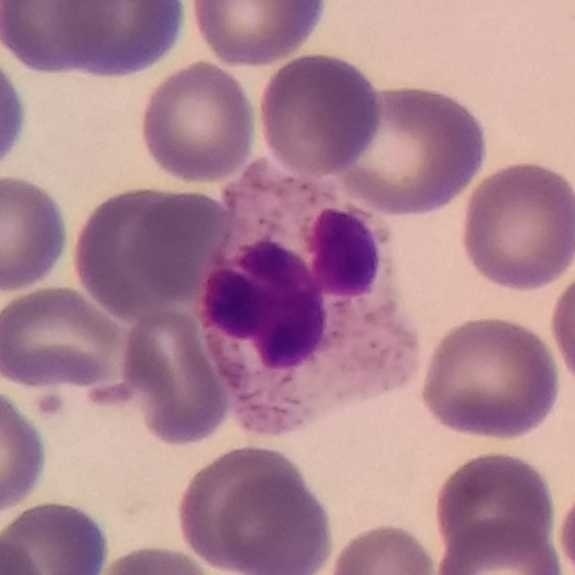 Single cell identified as a neutrophil granulocyte. Context: Giemsa stain. Magnification 100×. Peripheral blood smear.